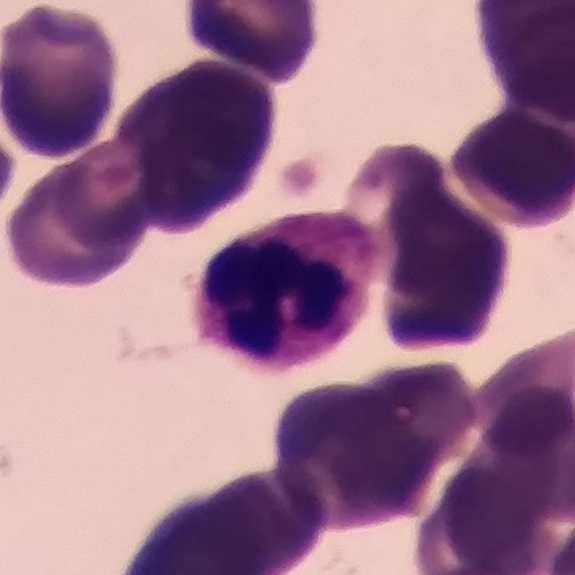
This is a neutrophil. Image: Peripheral blood smear.